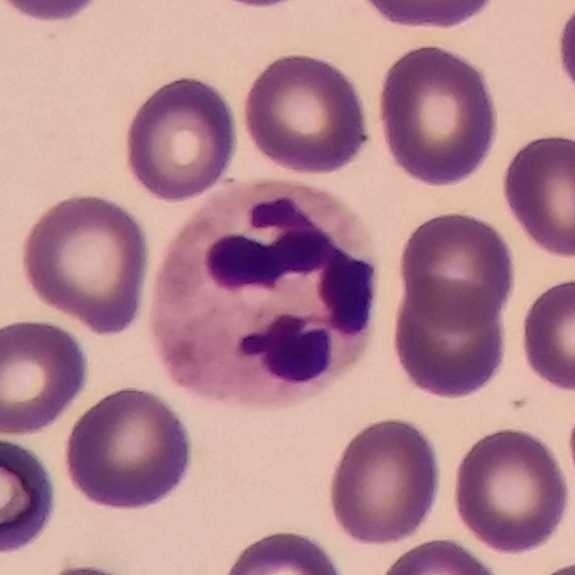

Cell — neutrophilic granulocyte.